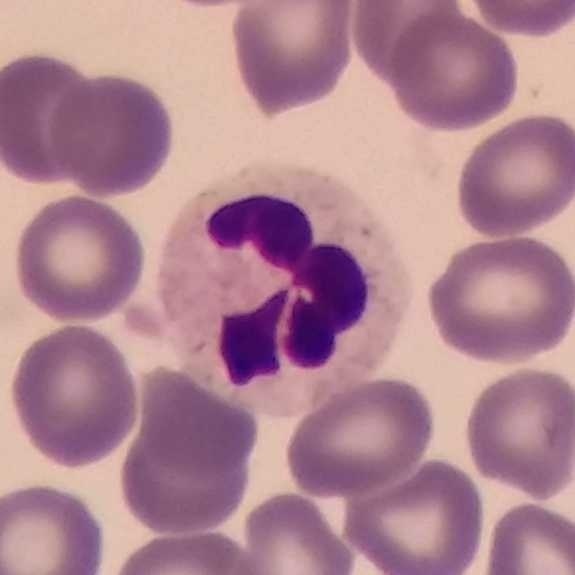

Specimen: peripheral blood film.
Classification: neutrophil.
Lineage: myeloid.